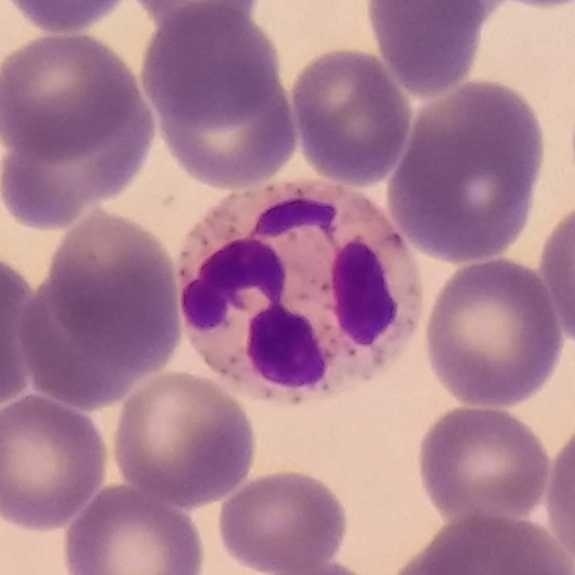 Classification: neutrophil granulocyte.

Acquisition: Smartphone photomicrograph · peripheral blood smear · magnification 100×.